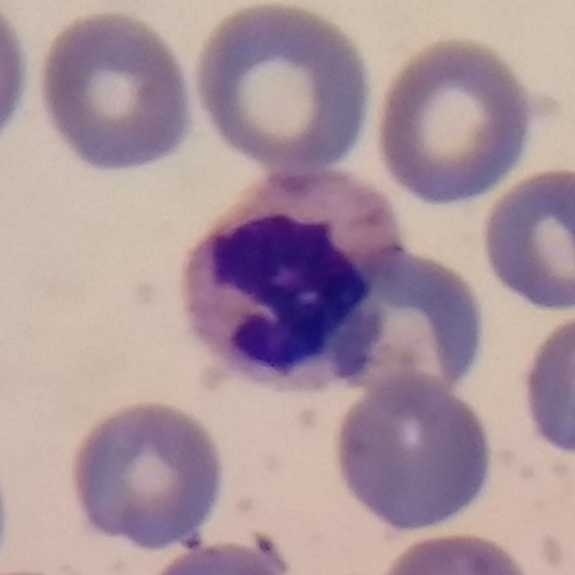 A neutrophil on a peripheral blood smear.